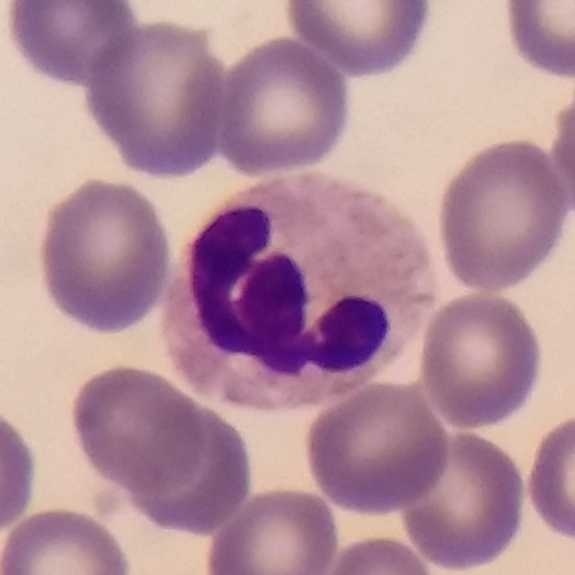 Classification: neutrophil.
Image: Peripheral blood smear.